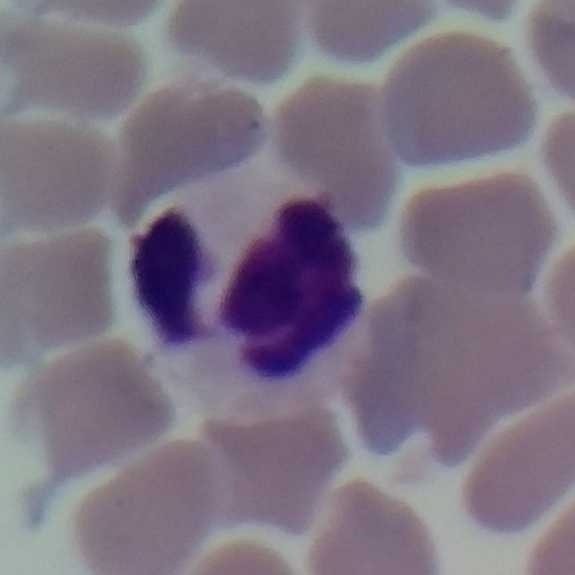Acquisition: Peripheral blood smear; photographed through a light microscope with a smartphone camera.
Classification — neutrophil granulocyte.